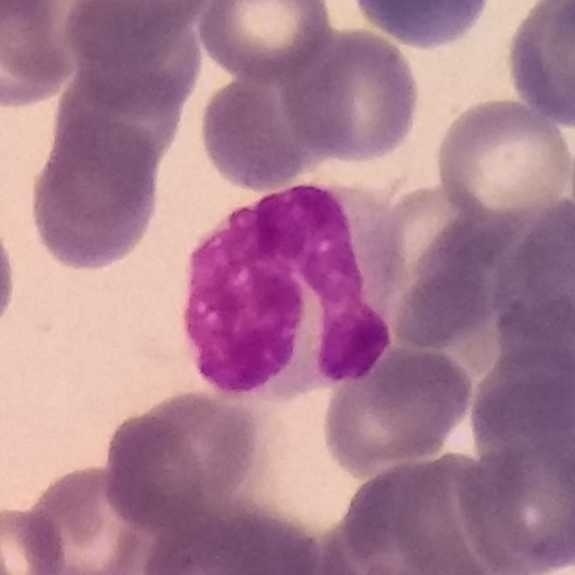 Single-cell crop from a peripheral blood smear: monocyte.